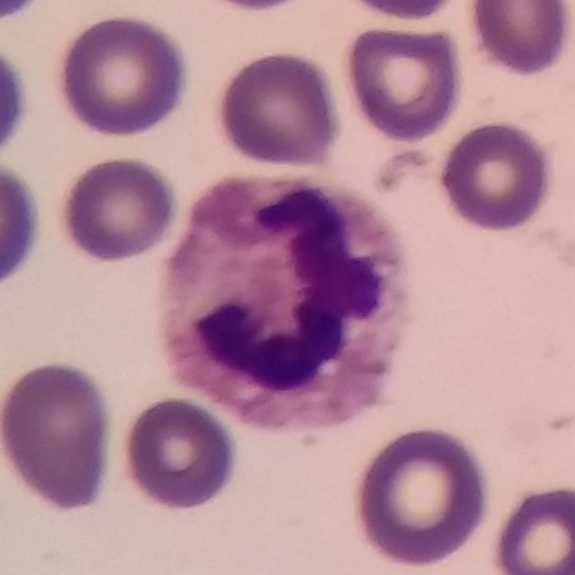

A neutrophil on a peripheral blood smear.